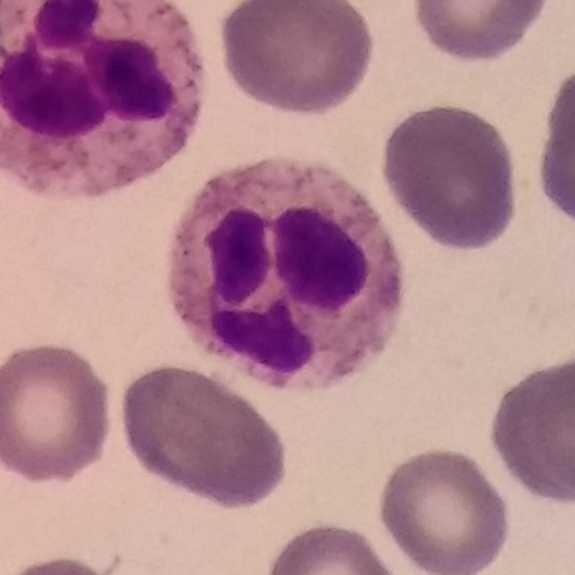 Morphology → neutrophilic granulocyte.